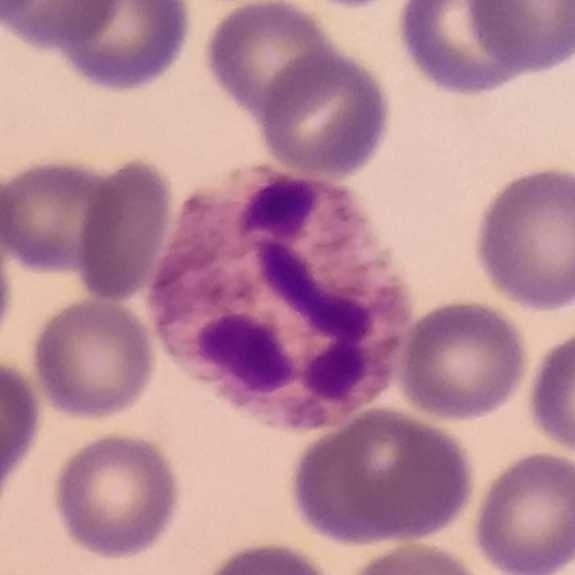

Preparation: Imaged at 100×; peripheral blood film.

Classification: neutrophil granulocyte.